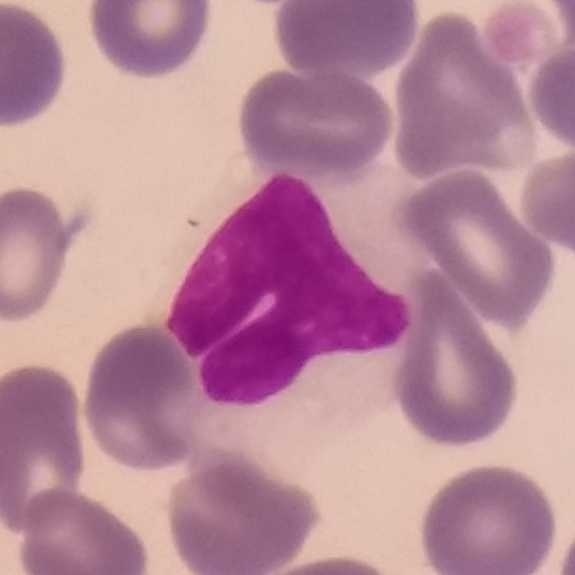 Morphological class = monocyte.